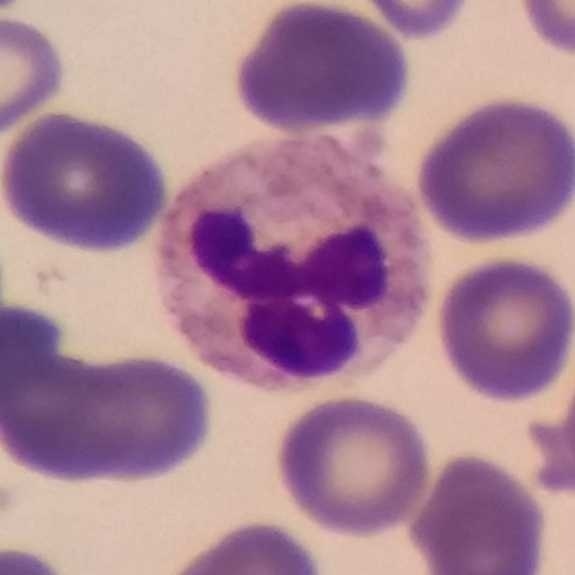Acquisition: Peripheral blood film.

{"cell_type": "neutrophilic granulocyte", "lineage": "myeloid"}